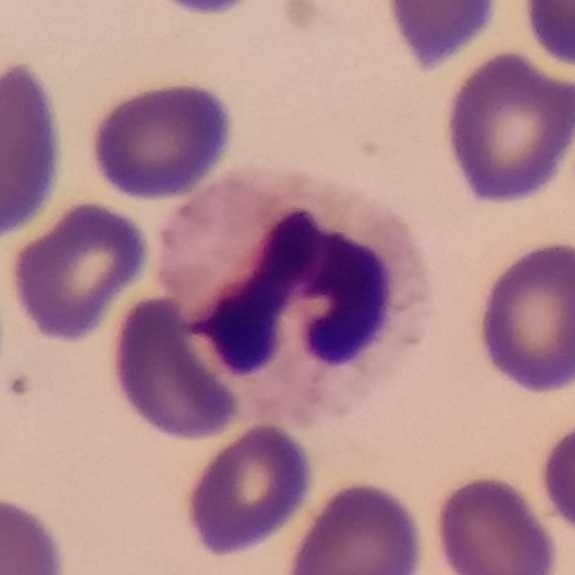White blood cell from a peripheral blood smear: neutrophilic granulocyte.